Cropped to one leukocyte. Peripheral blood film. 575×575 px.
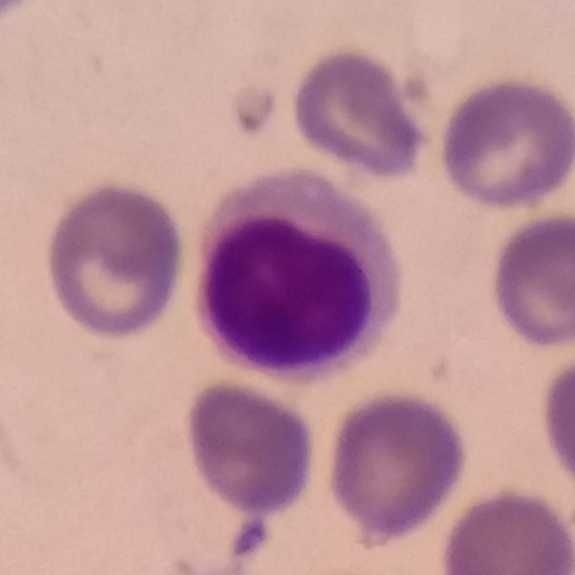Cell: lymphocyte.